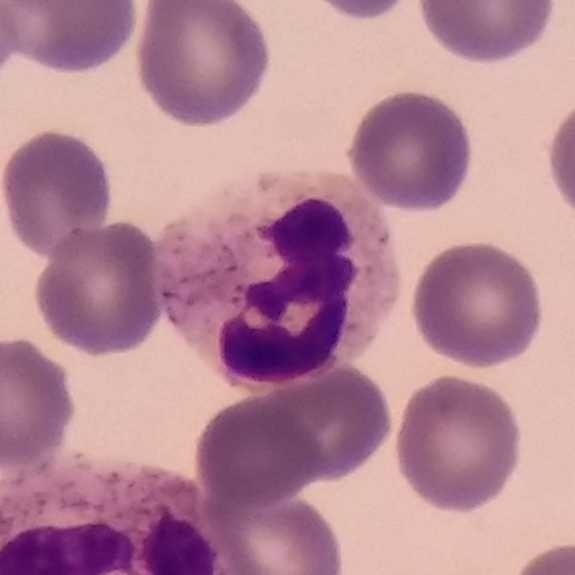

575 by 575 pixels. Peripheral blood smear.
Morphology — neutrophil.